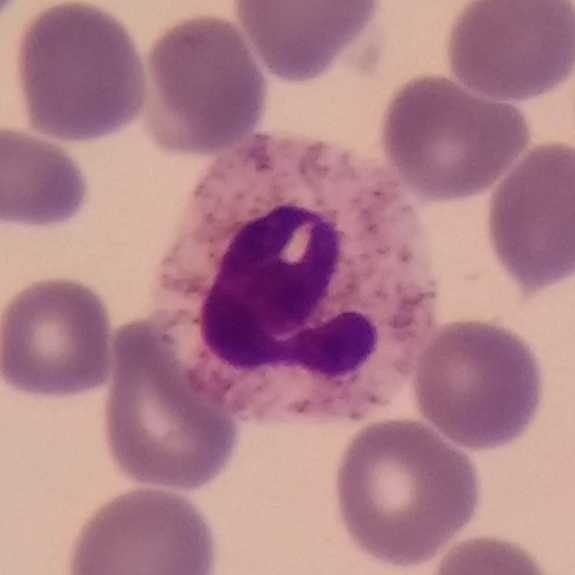

Preparation: Peripheral blood film. The cell shown is a neutrophil granulocyte.